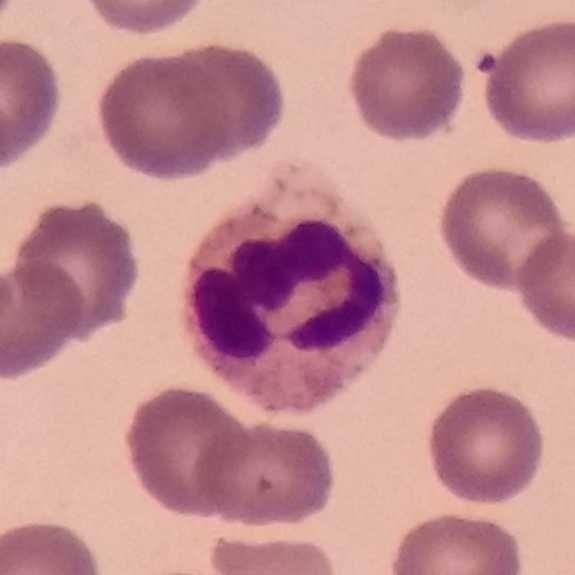Morphology — neutrophilic granulocyte.